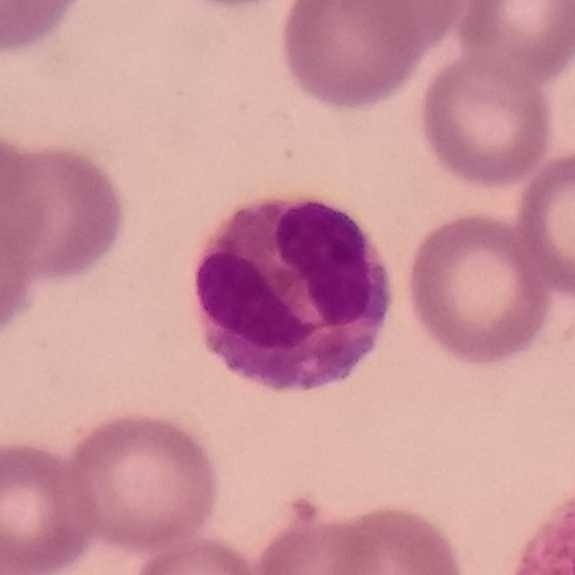 Q: What type of cell is this?
A: This is an eosinophil.

Peripheral blood film.